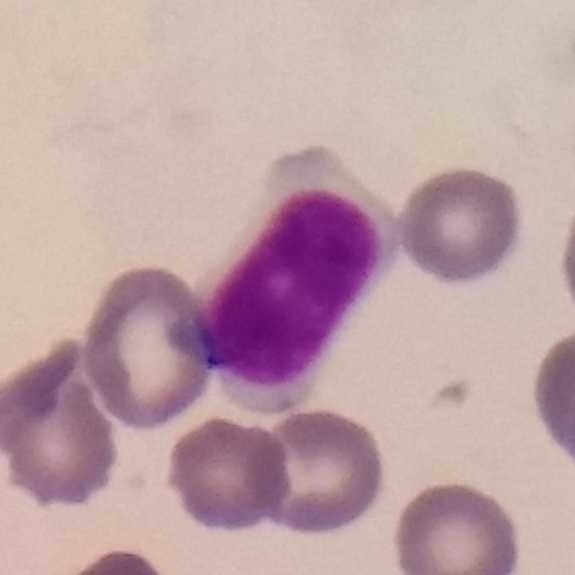 Peripheral blood film · image size 575×575.

Morphology consistent with a lymphocyte.